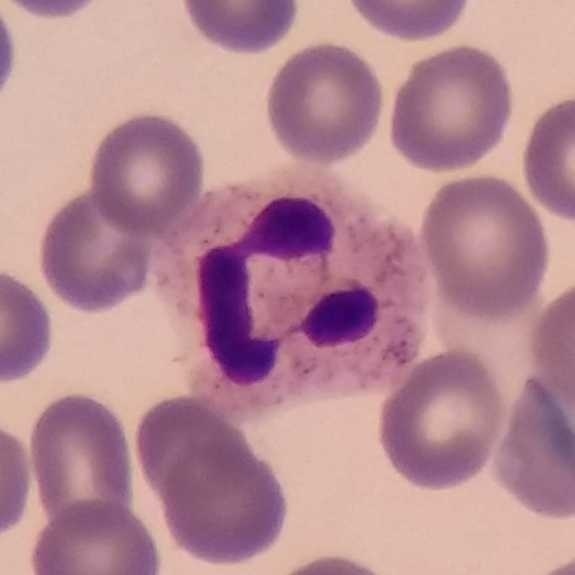
Single-cell field · 575×575 px · peripheral blood film. Q: What cell is this?
A: It is a neutrophil granulocyte.